Single-cell crop · peripheral blood film
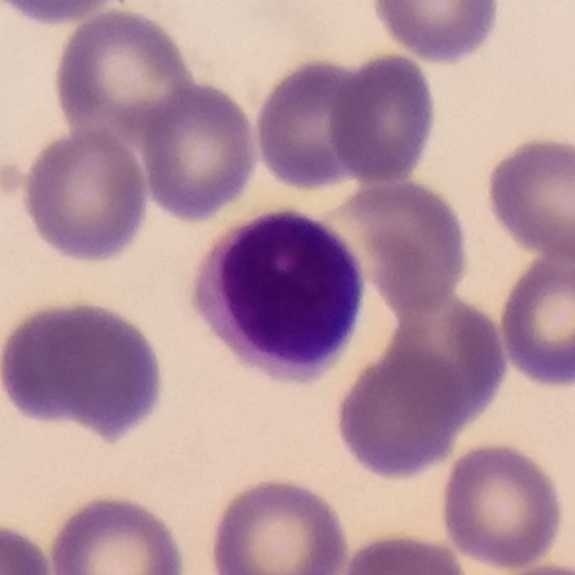

Cell type: lymphocyte.